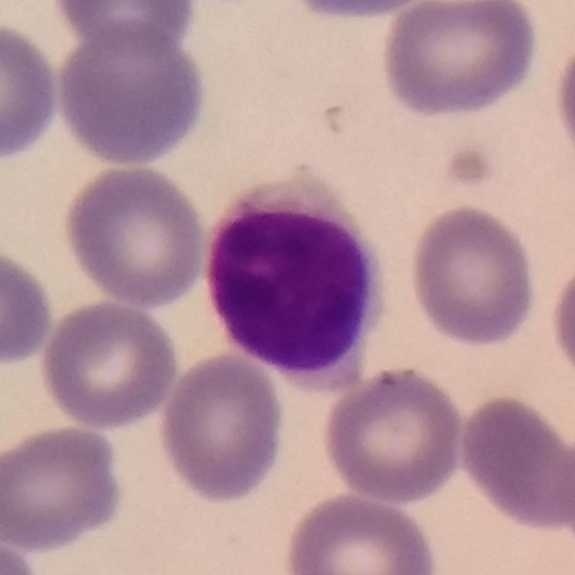
Classification — lymphocyte.
Image: Image size 575×575. Peripheral blood smear. Single-cell field.